Peripheral blood smear — 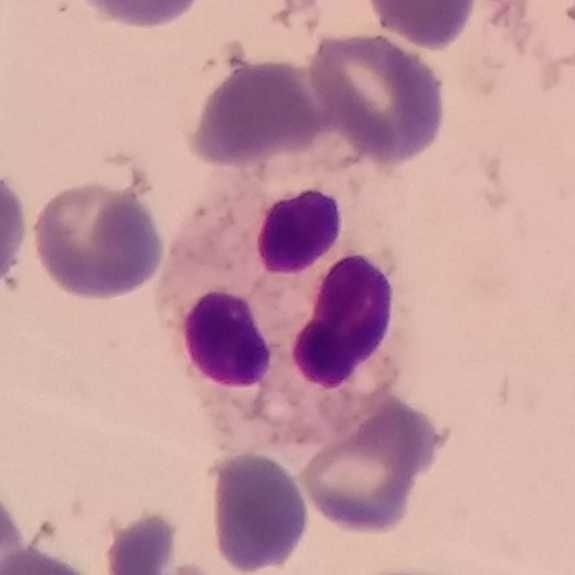 The cell shown is a neutrophilic granulocyte.